575×575 · peripheral blood film.
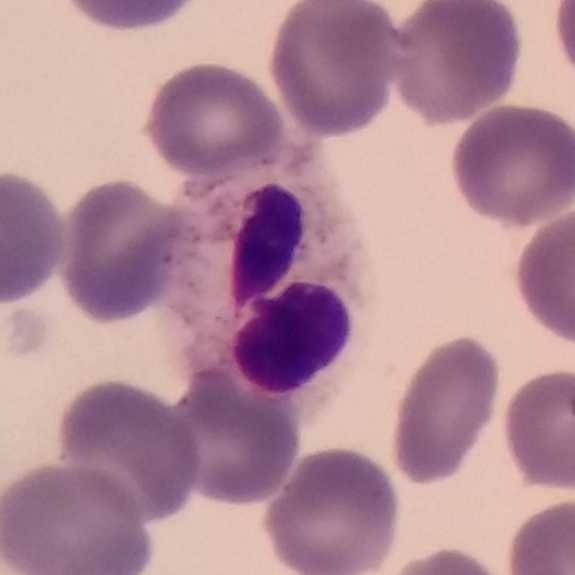
Specimen: peripheral blood smear.
Classification: neutrophilic granulocyte.
Lineage: myeloid.